Peripheral blood smear; 100× magnification.
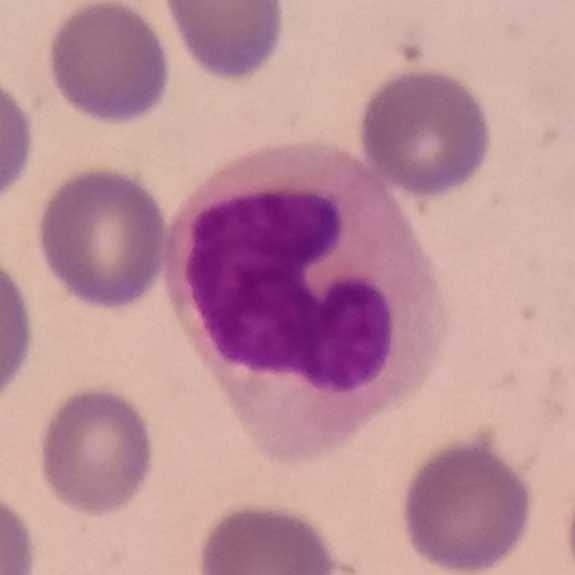

The classification is monocyte.